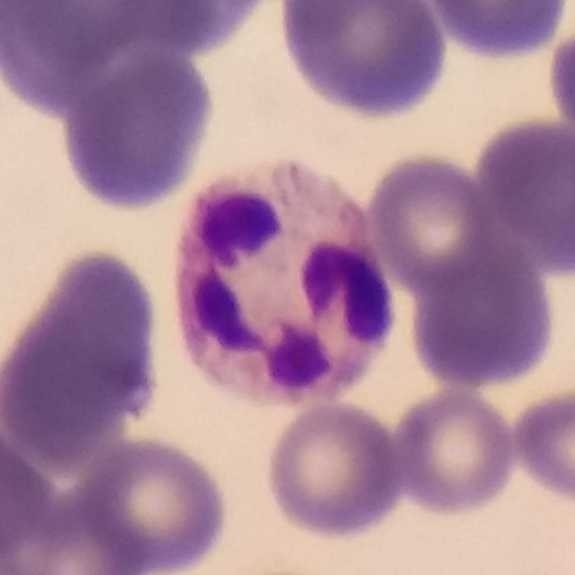 Peripheral blood smear. This is a neutrophil.